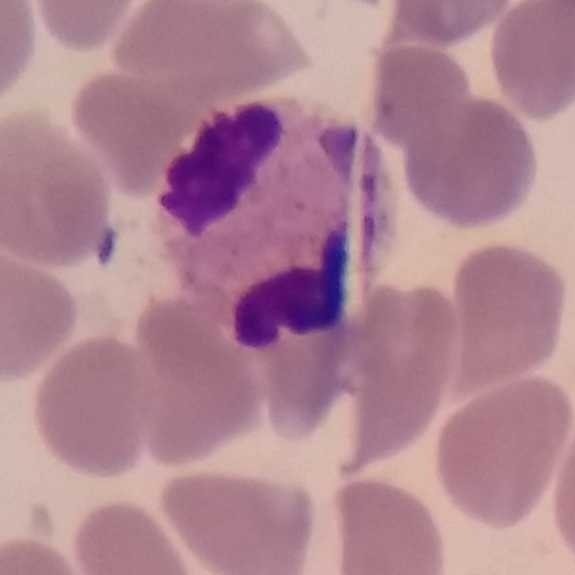 Specimen: peripheral blood smear.
Classification: neutrophil.